Peripheral blood smear; image size 575×575
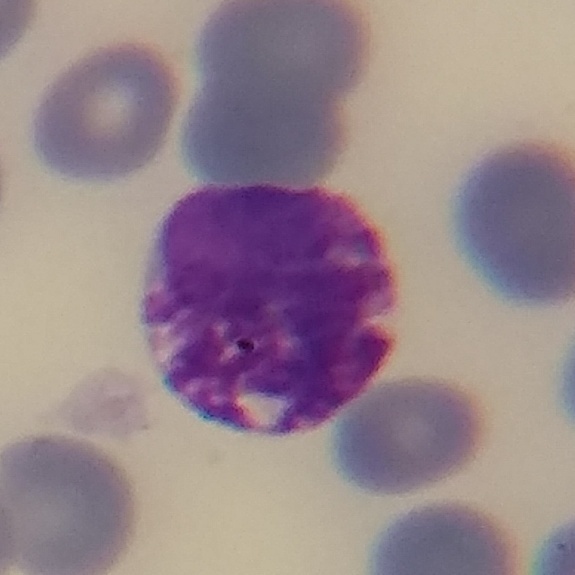
Specimen: peripheral blood smear.
Morphological class: basophil.
Lineage: myeloid.